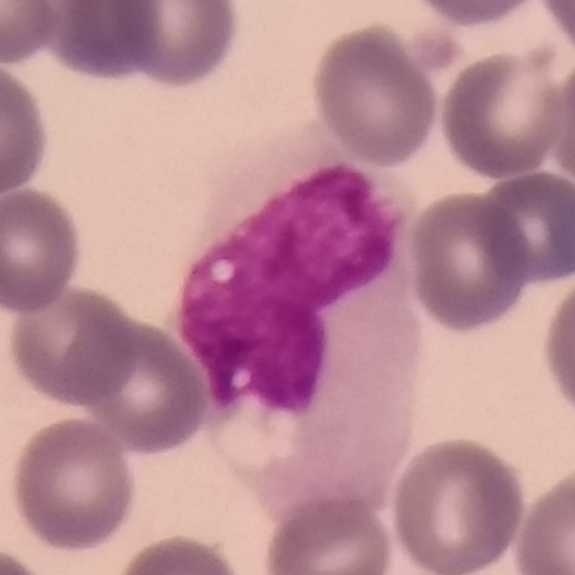Morphological class = monocyte. Image: 100× magnification · peripheral blood film.